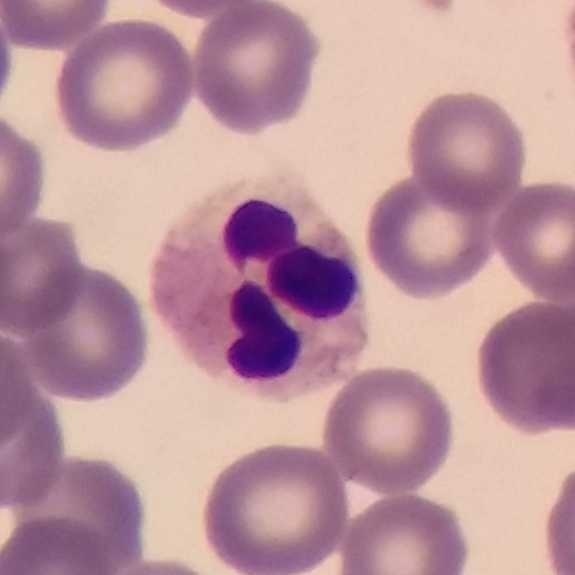Single cell identified as a neutrophilic granulocyte.